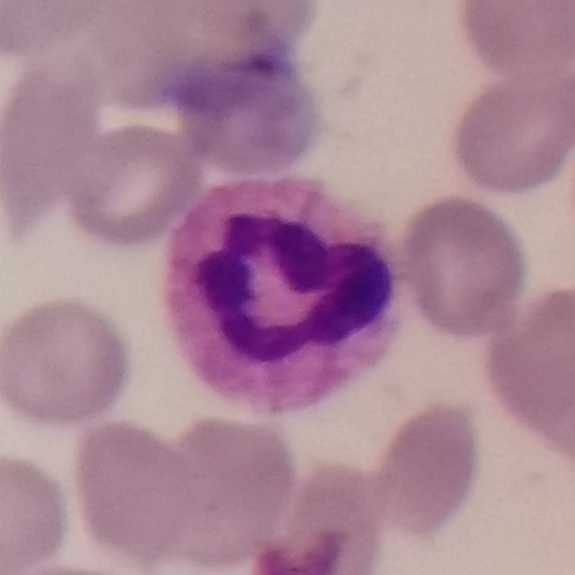

The white blood cell in this image is a neutrophil granulocyte.